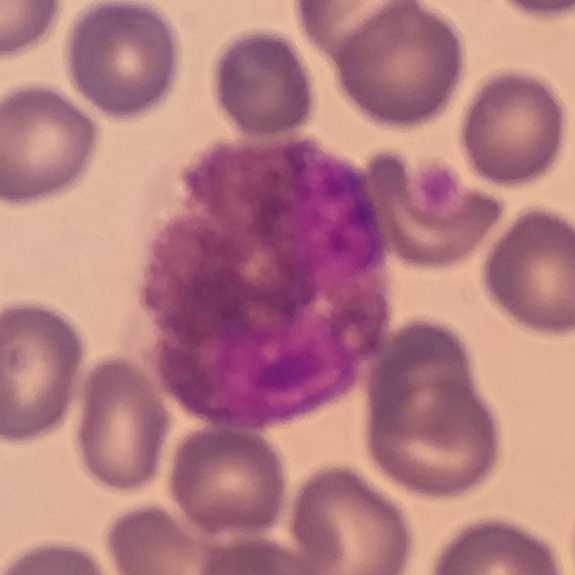Morphology consistent with an eosinophil.

Image: Stained with Giemsa; peripheral blood smear; magnification 100×.